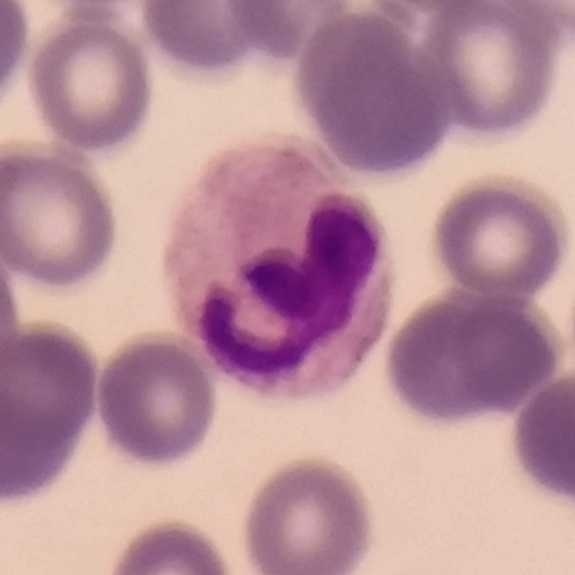
Showing a neutrophil granulocyte.